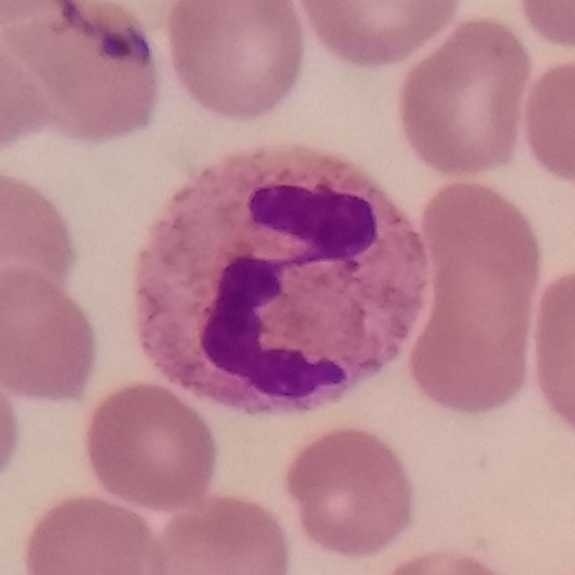 Neutrophil.